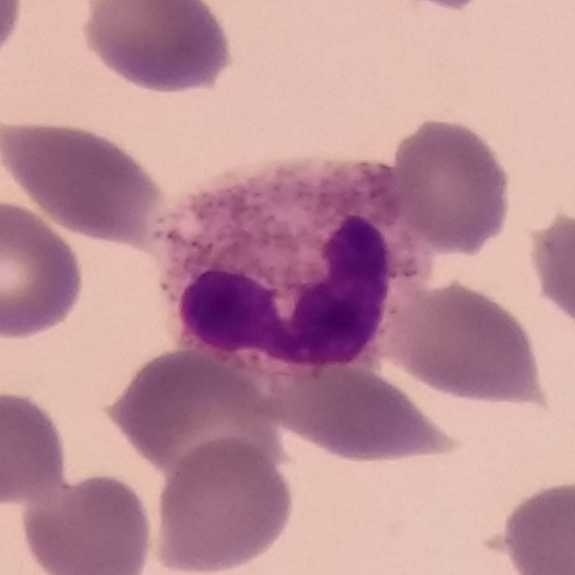

Impression — neutrophil.
Context: Peripheral blood film.